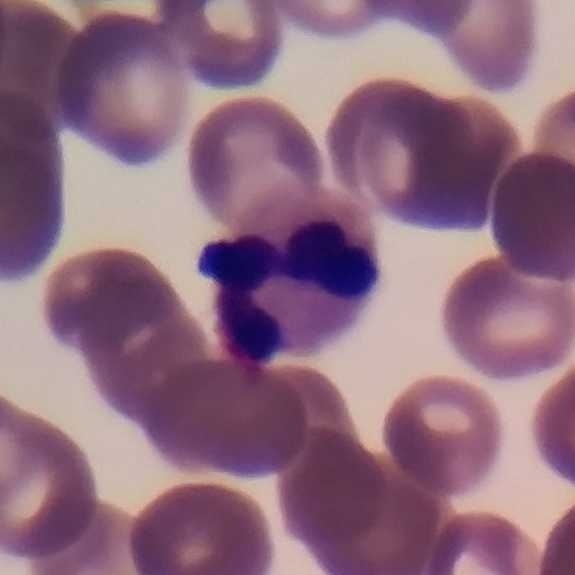

Morphological class = neutrophilic granulocyte.
Peripheral blood film. Phone-camera image taken through the microscope ocular.